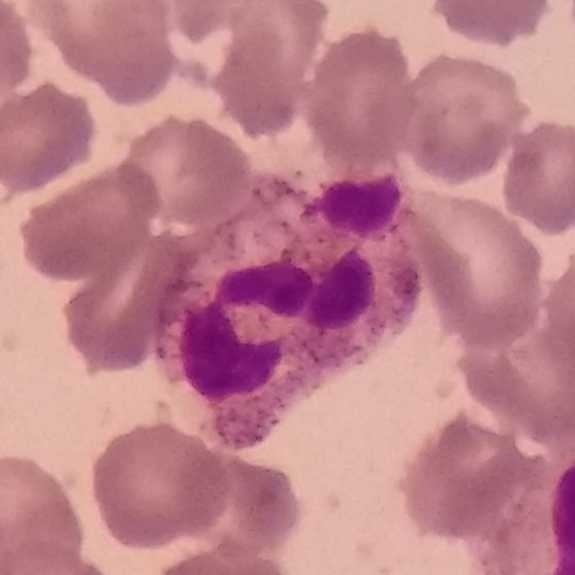 White blood cell type = neutrophilic granulocyte. Giemsa stain · peripheral blood smear.